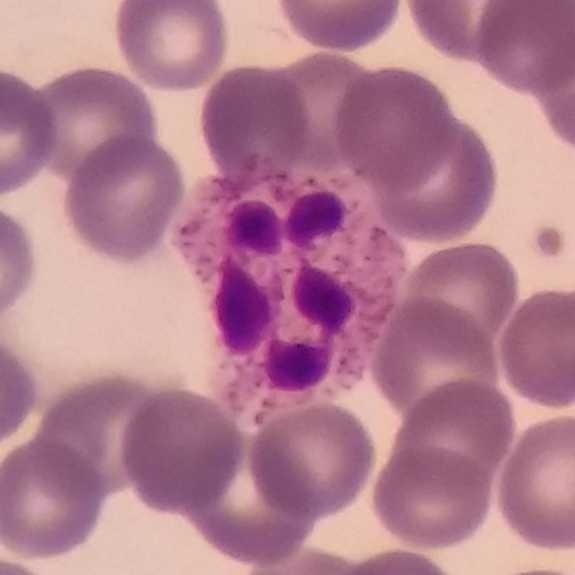 This is a neutrophilic granulocyte.
Peripheral blood film; imaged at 100×.